Peripheral blood film
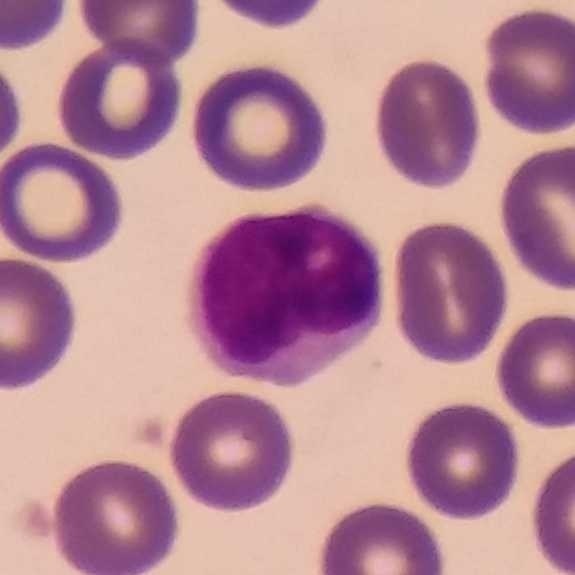 Morphological class = lymphocyte.